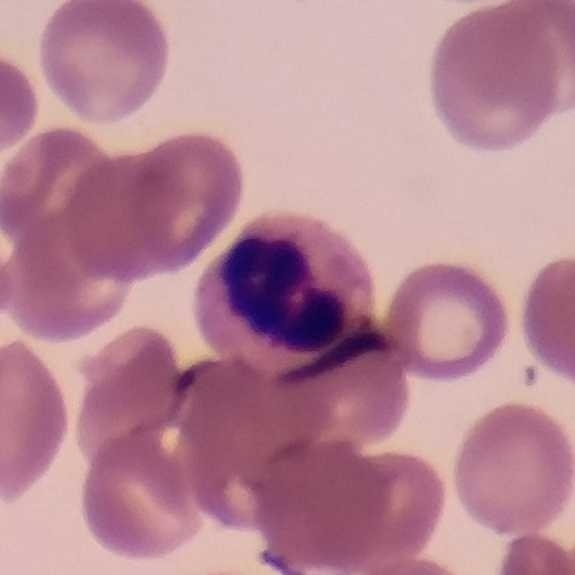
Specimen: peripheral blood film.
White blood cell type: neutrophil.